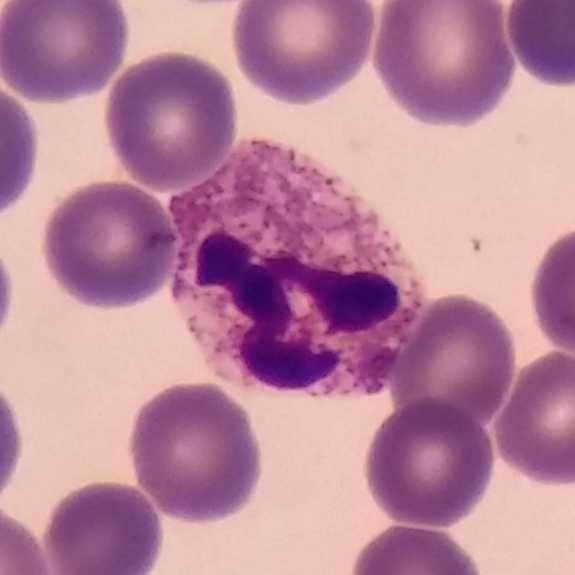 White blood cell type = neutrophil granulocyte. Peripheral blood film. Magnification 100×.